Peripheral blood smear; Giemsa stain.
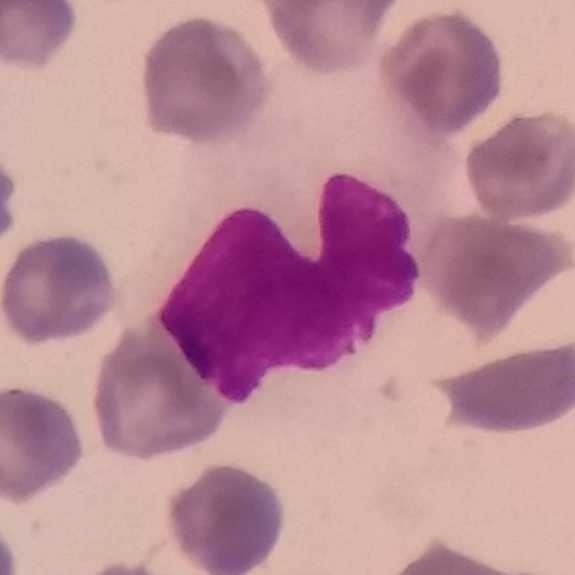 The white blood cell in this image is a monocyte.